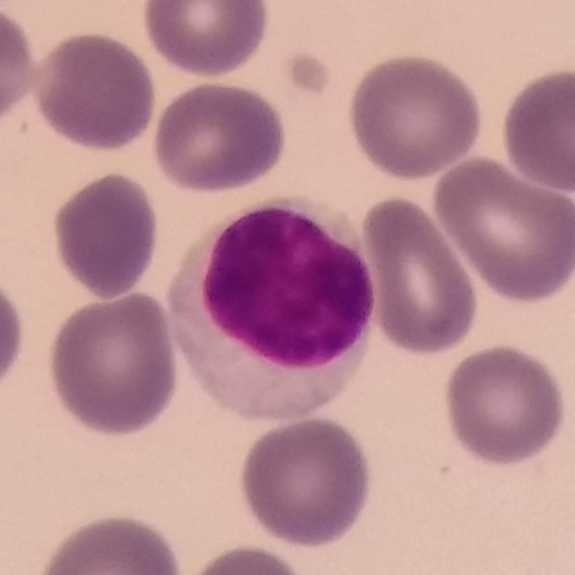Context: Peripheral blood smear.

White blood cell type — lymphocyte.